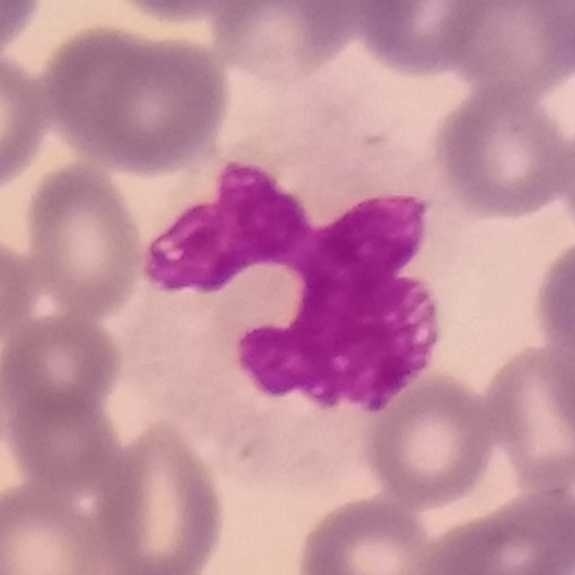

Specimen: peripheral blood film.
Classification: monocyte.